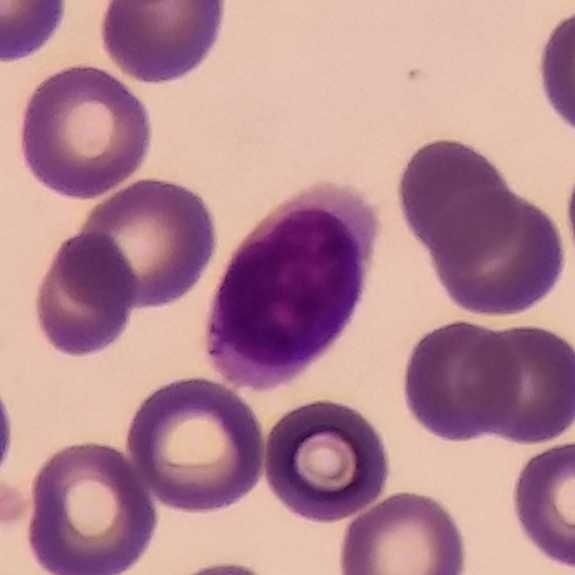

Context: Giemsa-stained; single-cell crop; peripheral blood smear.
Morphology consistent with a lymphocyte.